Peripheral blood smear — 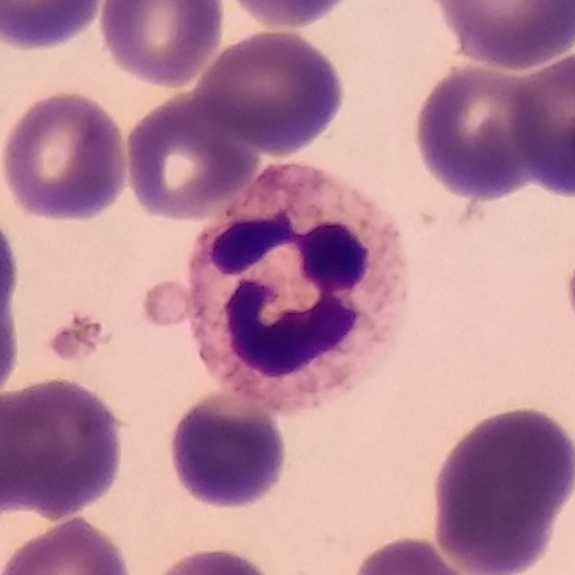 {"cell_type": "neutrophil granulocyte"}